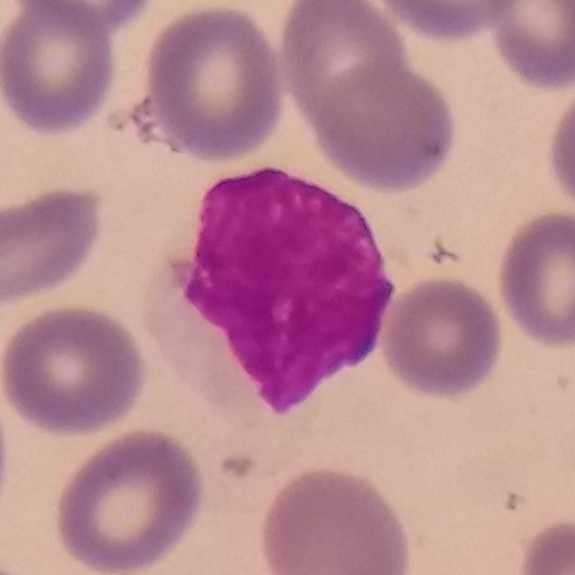

Peripheral blood film.

Q: Which type of white blood cell is this?
A: Monocyte.